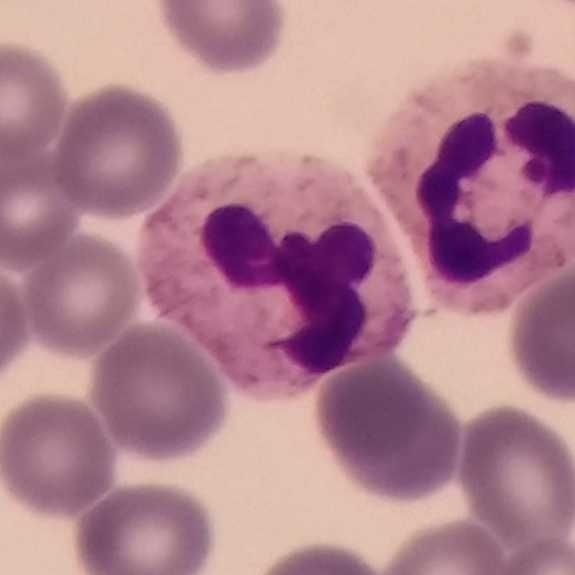

Specimen: peripheral blood film.
Cell type: neutrophilic granulocyte.